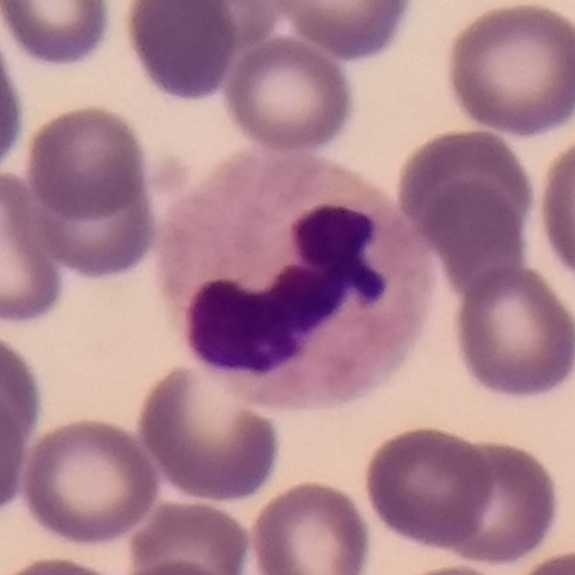Showing a neutrophilic granulocyte. Magnification 100×; peripheral blood film; photographed through a light microscope with a smartphone camera.